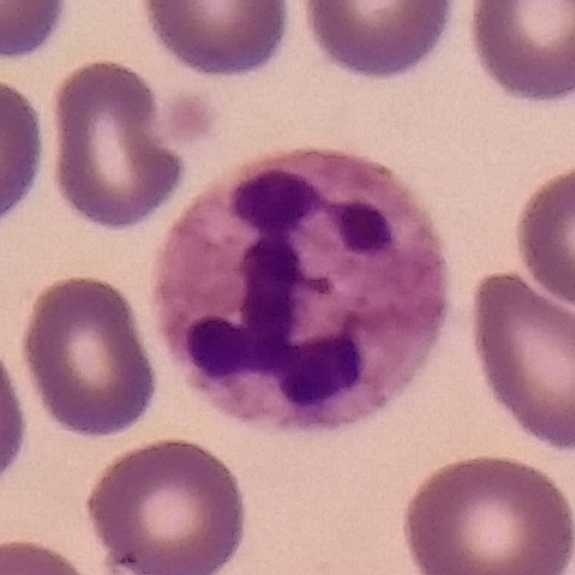Q: Identify the cell.
A: It is a neutrophil granulocyte. Context: Smartphone camera mounted on the microscope eyepiece · peripheral blood film.